Smartphone photomicrograph · single-cell field · peripheral blood smear:
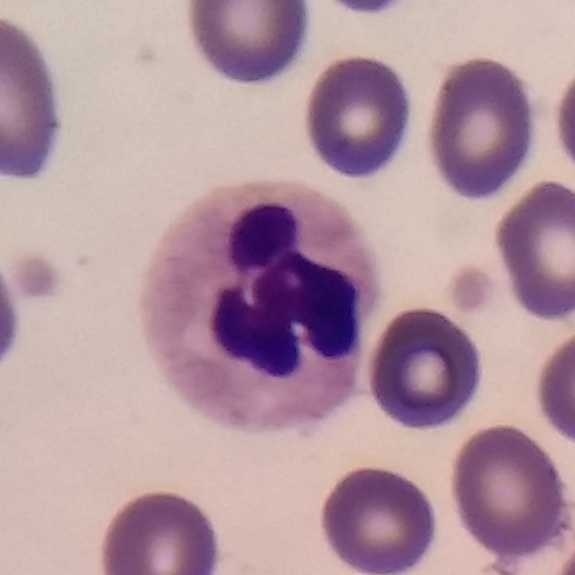

Showing a neutrophil granulocyte.